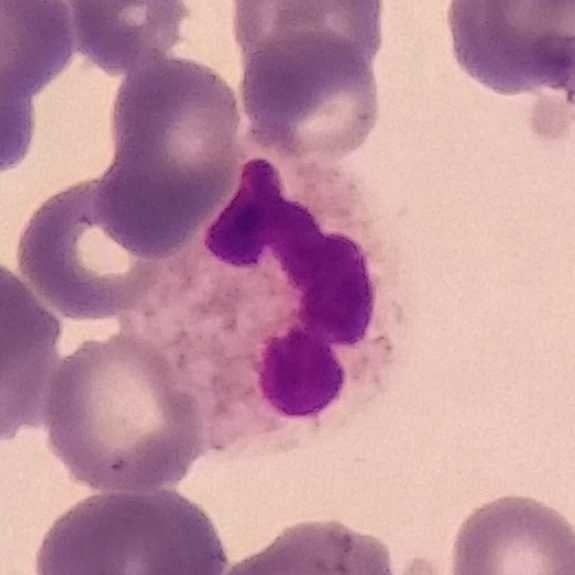

Preparation: Peripheral blood film.
Morphology → neutrophil.